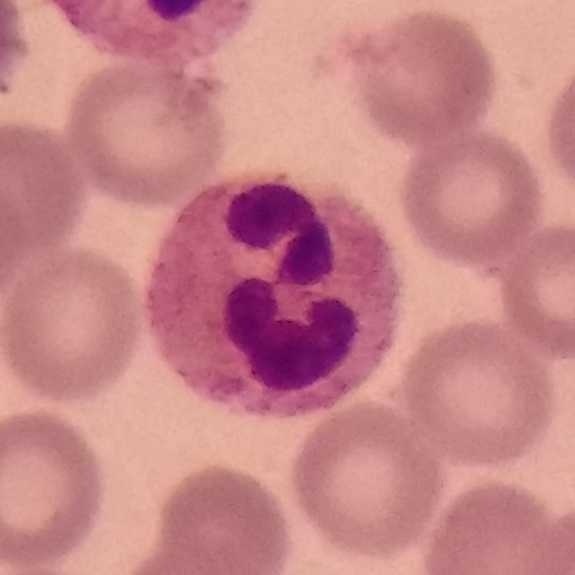

Specimen: peripheral blood smear.
Cell: neutrophilic granulocyte.